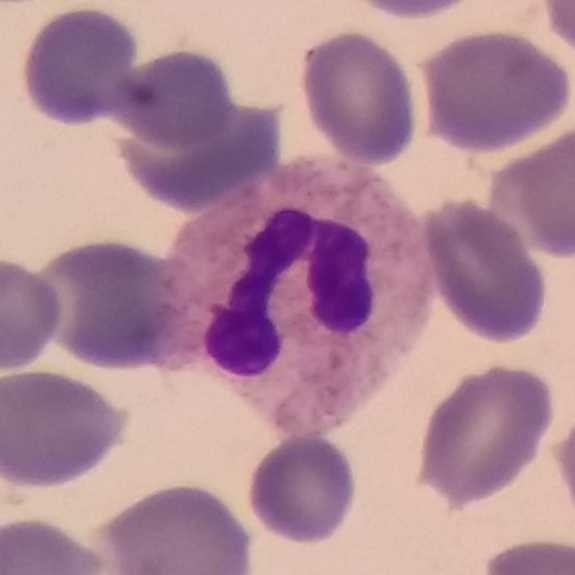

Peripheral blood film, single cell — neutrophil.